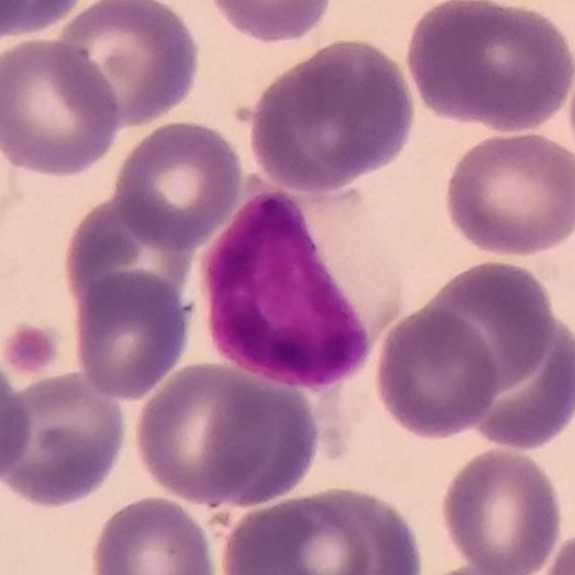Morphology — lymphocyte.